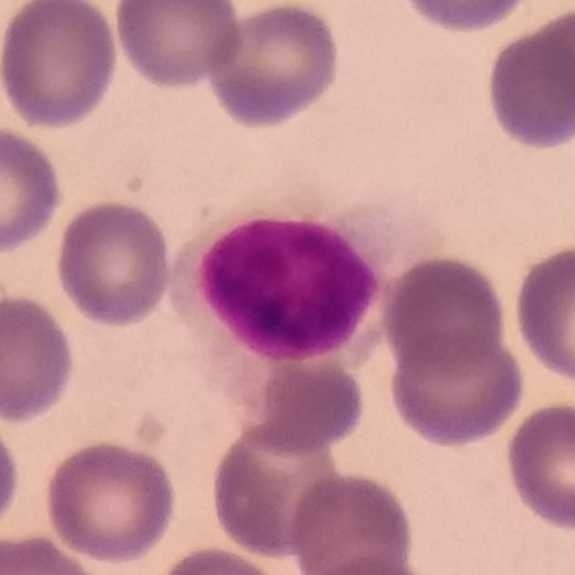

Q: What is shown here?
A: A lymphocyte.